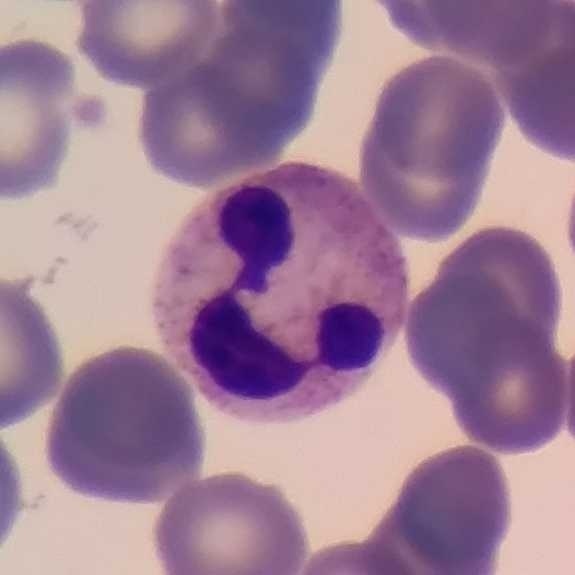

Acquisition: Peripheral blood smear.
{"cell_type": "neutrophilic granulocyte", "lineage": "myeloid"}